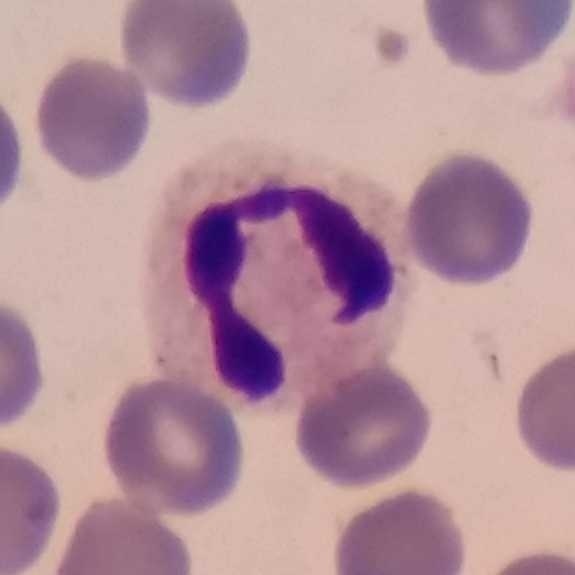

Context: Peripheral blood film · magnification 100×.
Morphology consistent with a neutrophil.